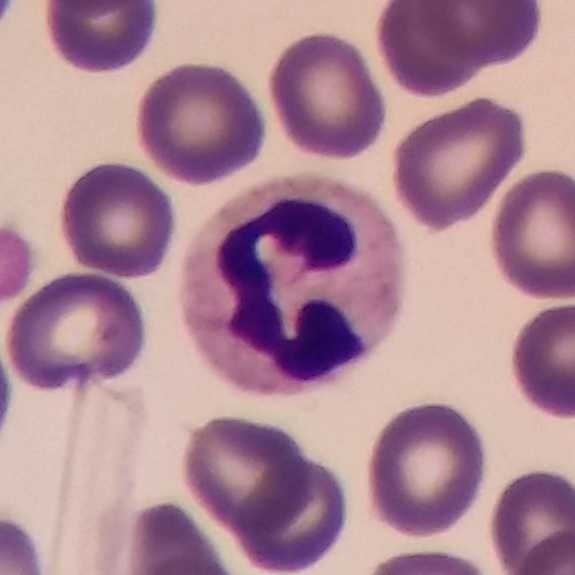Cell type: neutrophil granulocyte. Context: Peripheral blood smear.